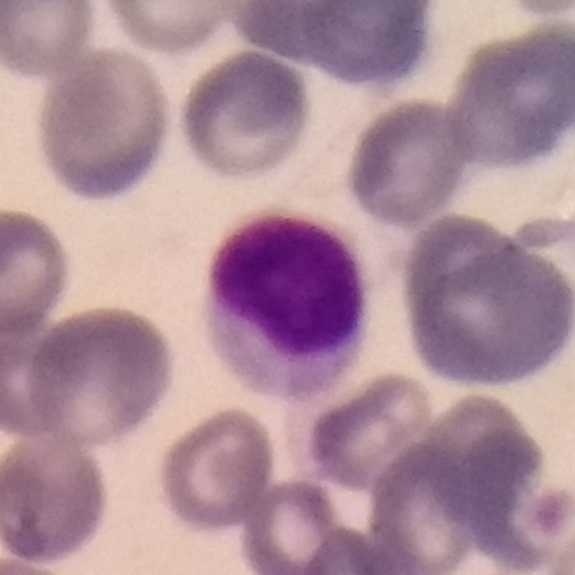

Q: What is this?
A: Lymphocyte.